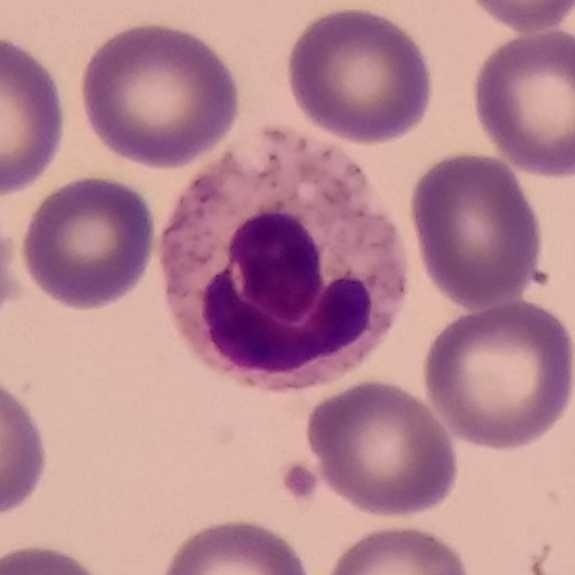 Context: Smartphone photomicrograph. Specimen: peripheral blood film.
Cell: neutrophil.